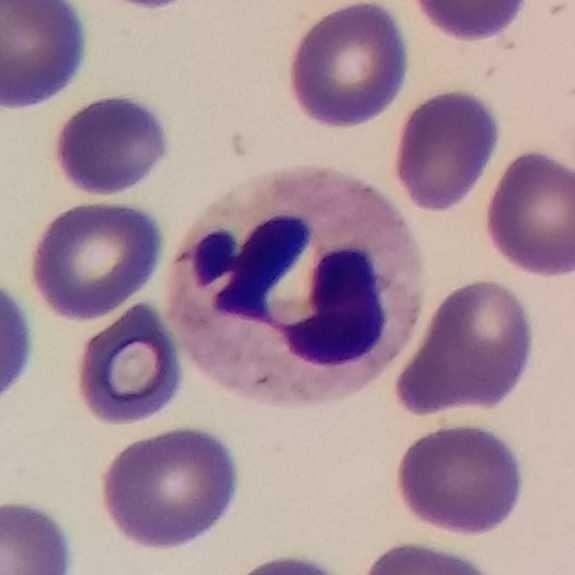 Smartphone photomicrograph. Image size 575×575. Peripheral blood smear.

The cell type is neutrophil granulocyte.